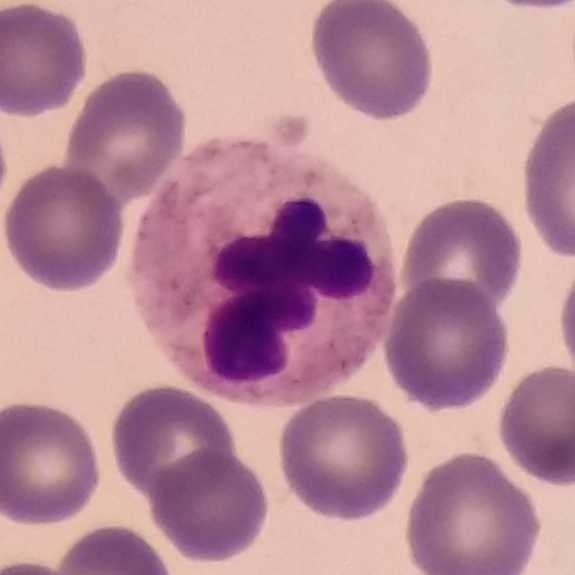
Neutrophil.
Context: Peripheral blood smear.